Peripheral blood smear · Giemsa stain: 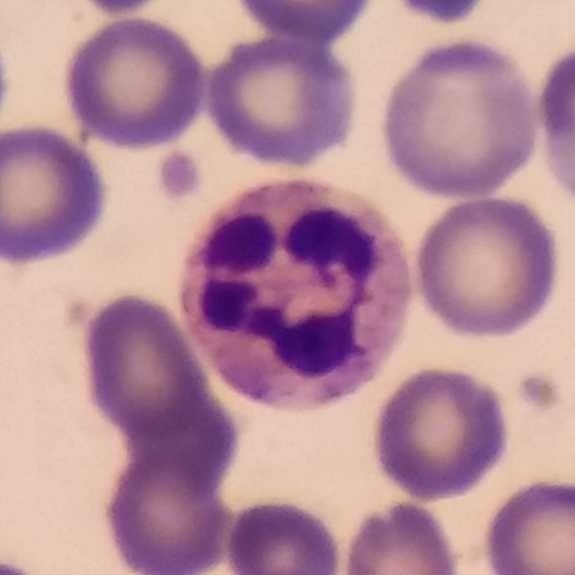Morphological class: neutrophilic granulocyte.